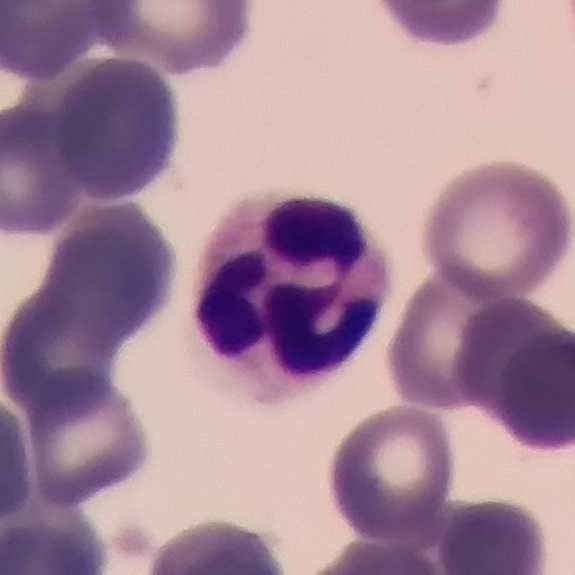
Acquisition: Peripheral blood film. Cell — neutrophilic granulocyte.